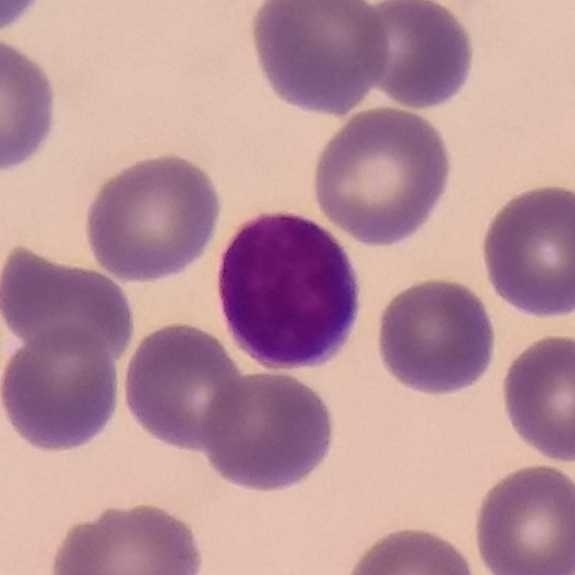 Acquisition: Peripheral blood film. Stained with Giemsa.
Impression → lymphocyte.